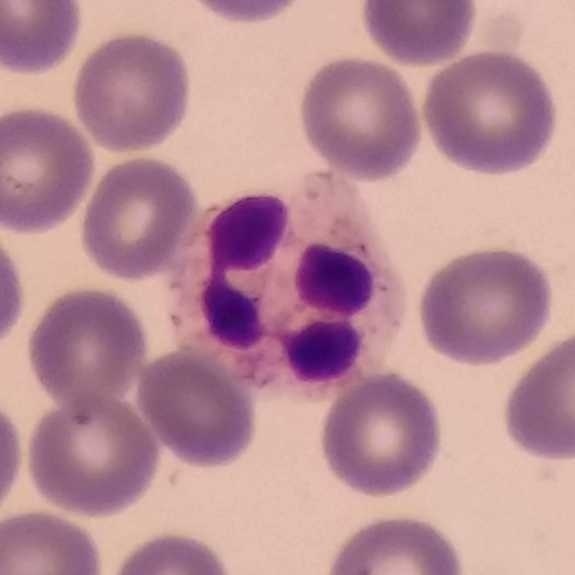 Peripheral blood smear showing a neutrophil.